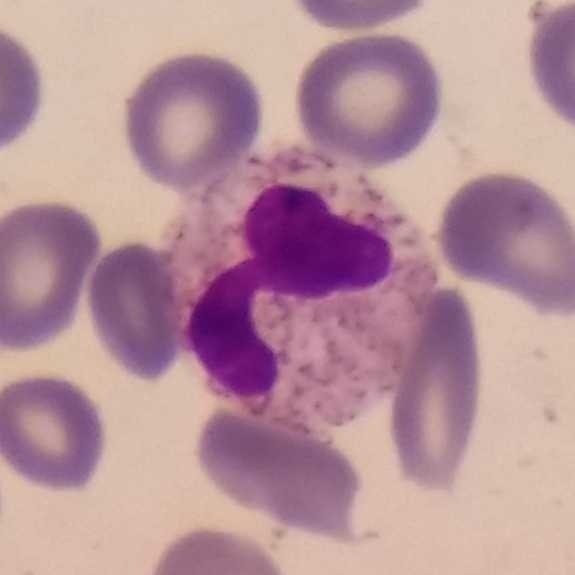

Peripheral blood smear.
Q: What is shown here?
A: Neutrophil.